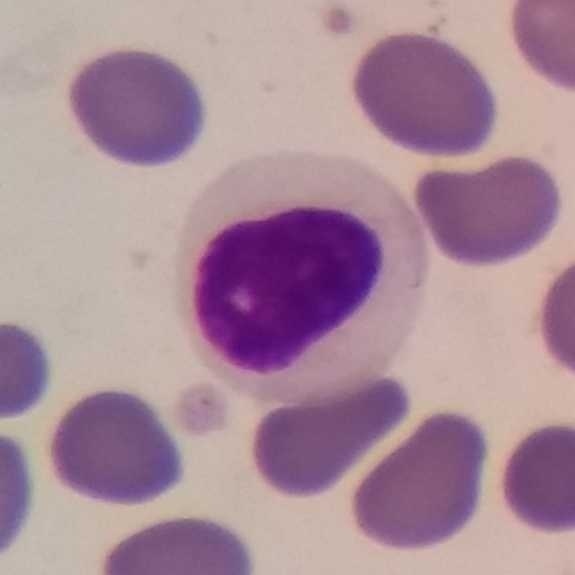 Identified as a lymphocyte.